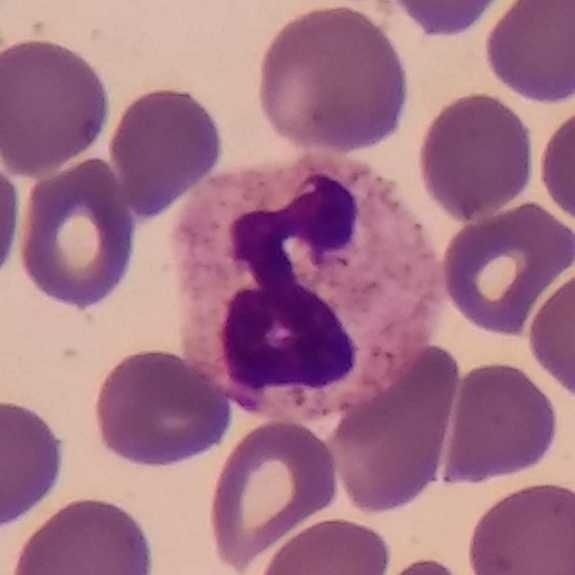{"cell_type": "neutrophil granulocyte", "lineage": "myeloid"} Peripheral blood smear.